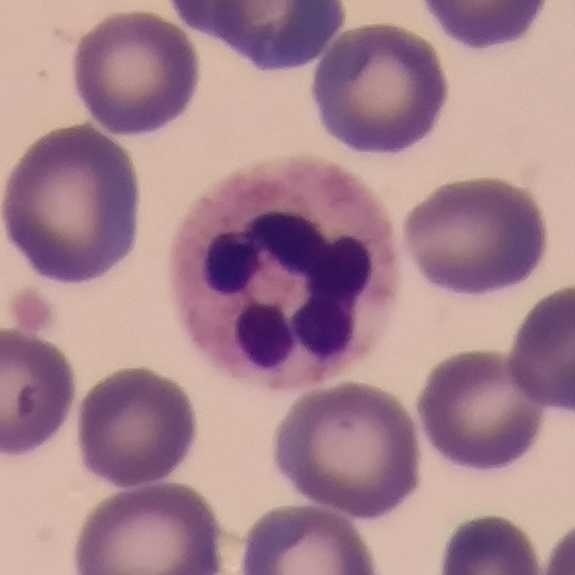

Identified as a neutrophilic granulocyte. Acquisition: 575 by 575 pixels · peripheral blood smear.